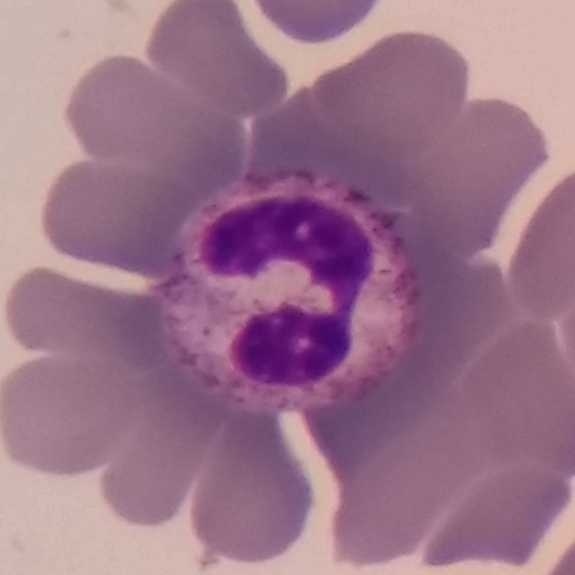Single cell identified as a neutrophil granulocyte.
Preparation: Peripheral blood film.